Peripheral blood smear.
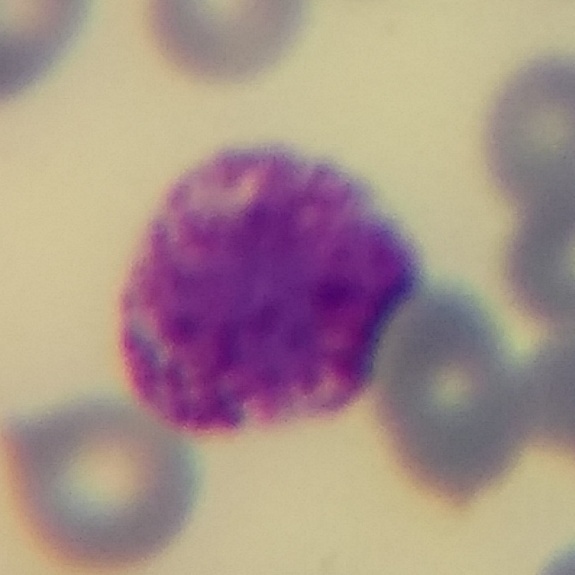 Specimen: peripheral blood smear.
White blood cell type: basophilic granulocyte.
Lineage: myeloid.